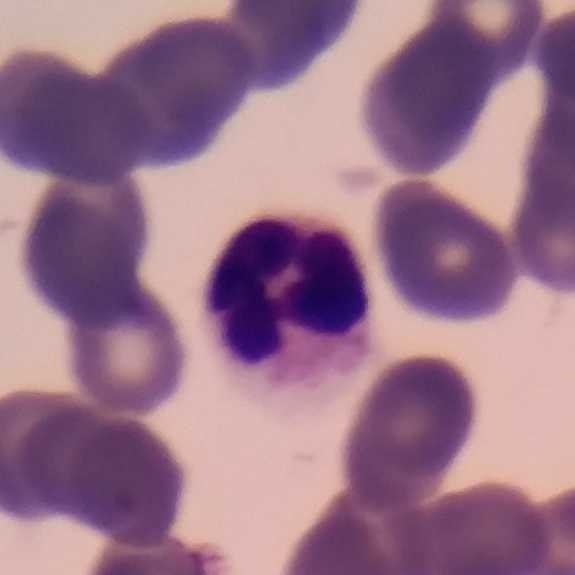
Neutrophilic granulocyte.
Acquisition: 575×575 · peripheral blood smear.